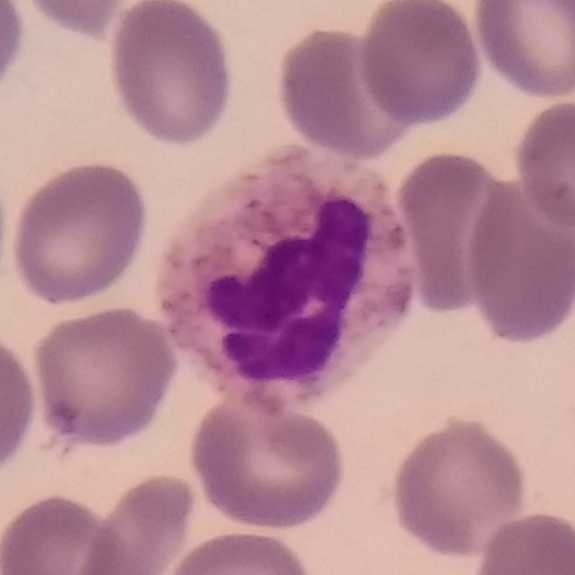 Classification — neutrophil.